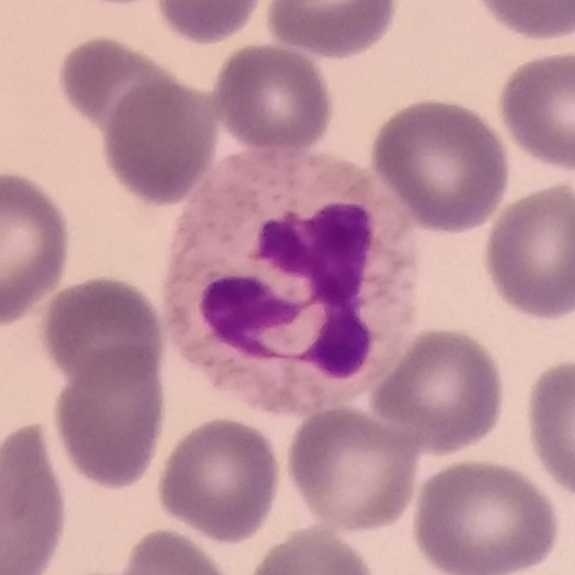
Acquisition: Peripheral blood film; photographed through a light microscope with a smartphone camera.

Morphological class = neutrophil granulocyte.